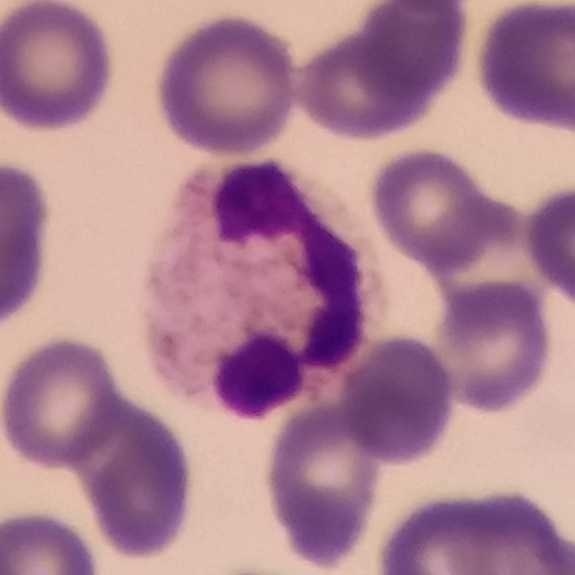 Peripheral blood film.

The morphological class is neutrophilic granulocyte.